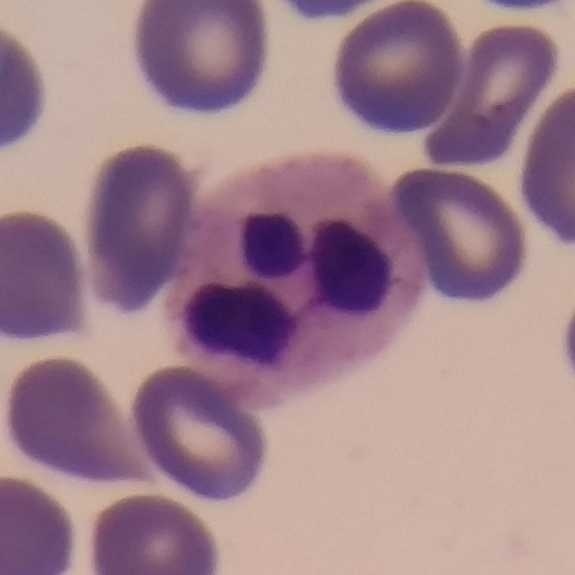Specimen: peripheral blood smear.
Cell type: neutrophilic granulocyte.
Lineage: myeloid.